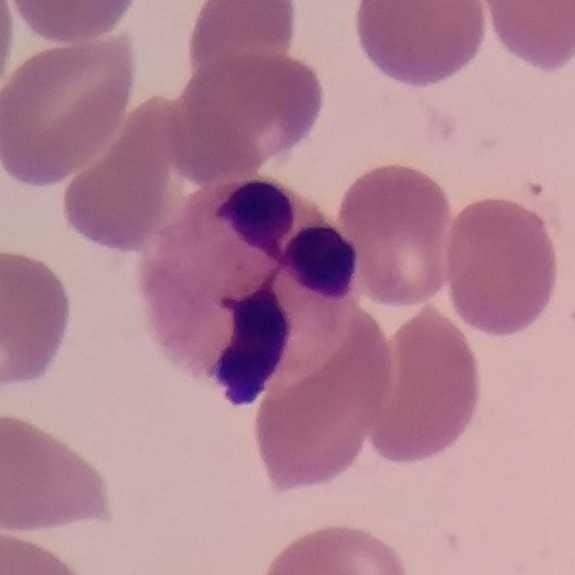
Image: Giemsa-stained; single-cell crop. Specimen: peripheral blood smear.
Morphological class: neutrophilic granulocyte.
Lineage: myeloid.